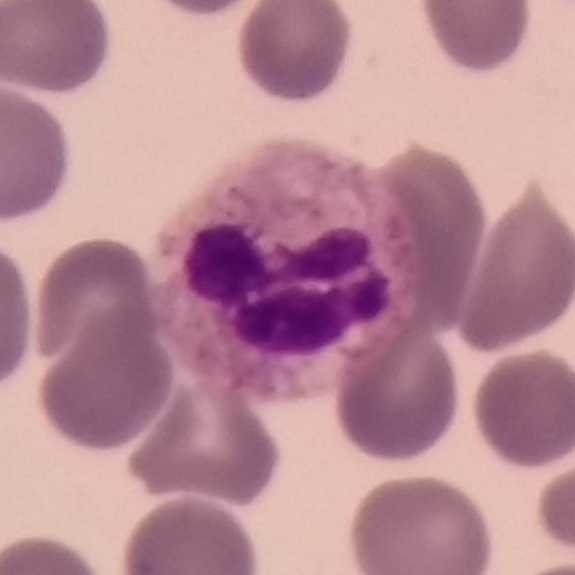The white blood cell in this image is a neutrophil granulocyte.

Peripheral blood smear.